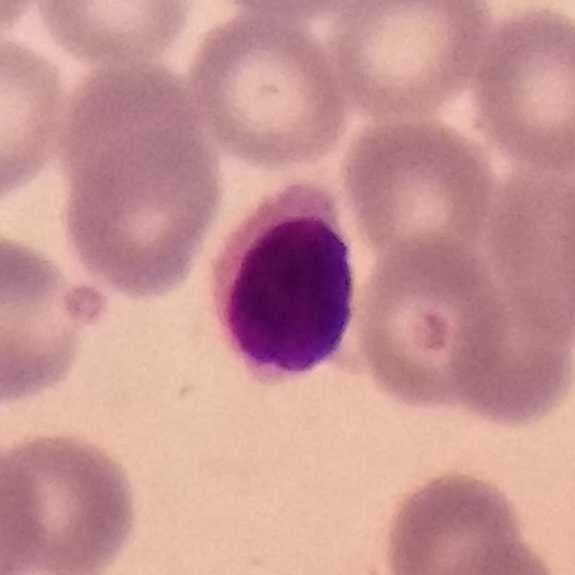

Single cell identified as a lymphocyte. Peripheral blood smear.